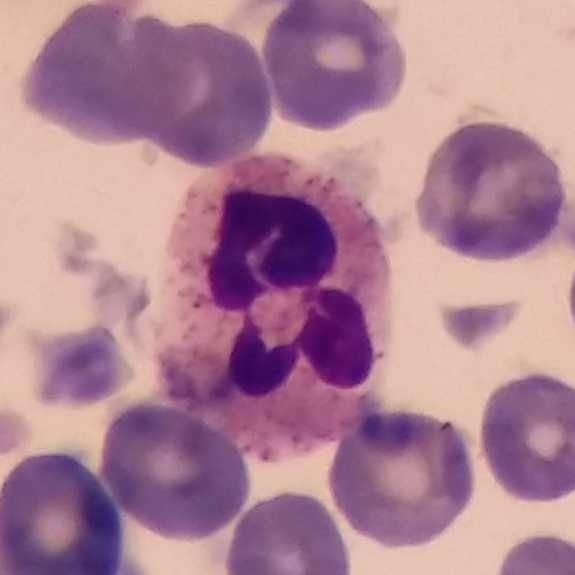Q: What is shown here?
A: It is a neutrophilic granulocyte. Peripheral blood film.